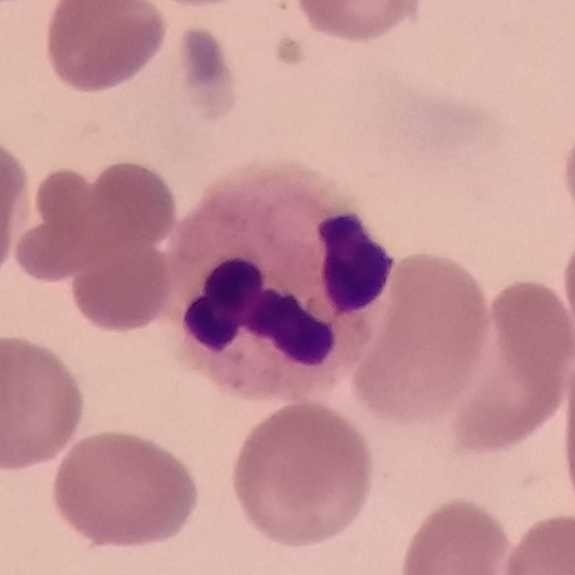Showing a neutrophil. Preparation: Giemsa-stained; imaged at 100×; peripheral blood smear.